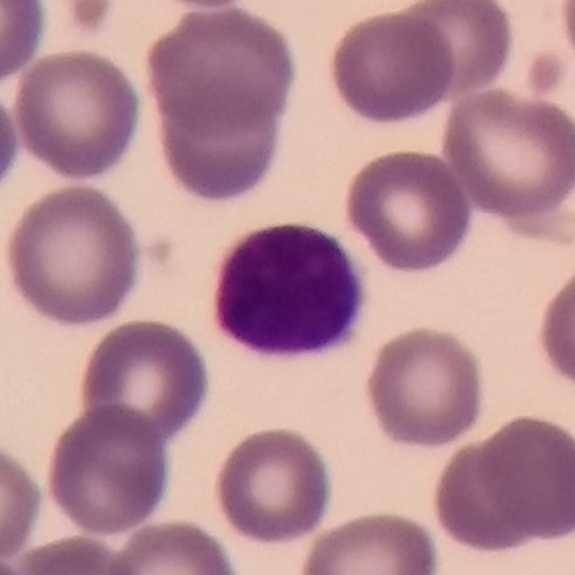

Single cell identified as a lymphocyte.
Context: Peripheral blood smear.